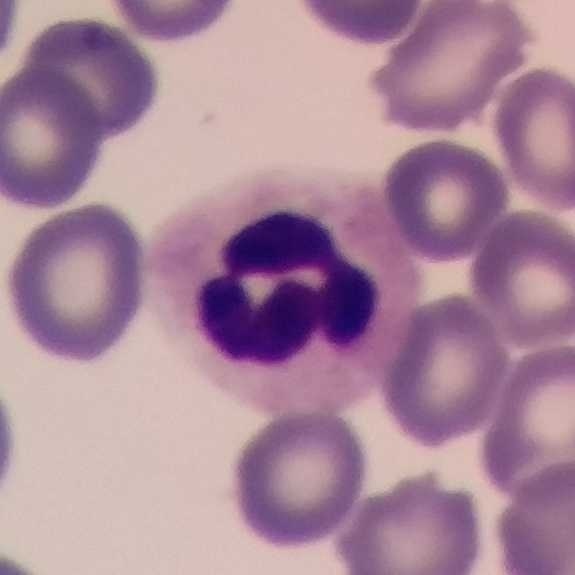A neutrophil. Context: Peripheral blood smear. Imaged at 100×.